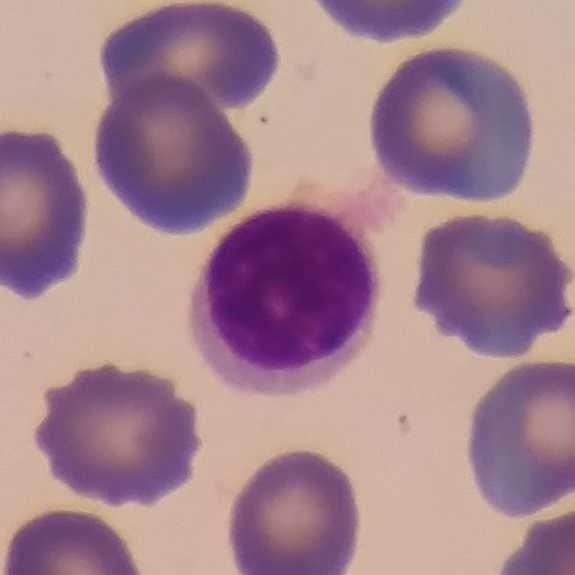

Q: What is this?
A: It is a lymphocyte.